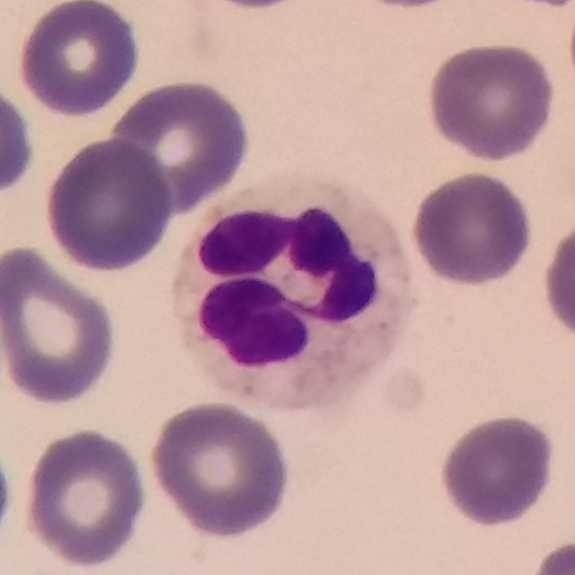 Peripheral blood smear.
The cell is neutrophil.